Peripheral blood smear · 575×575.
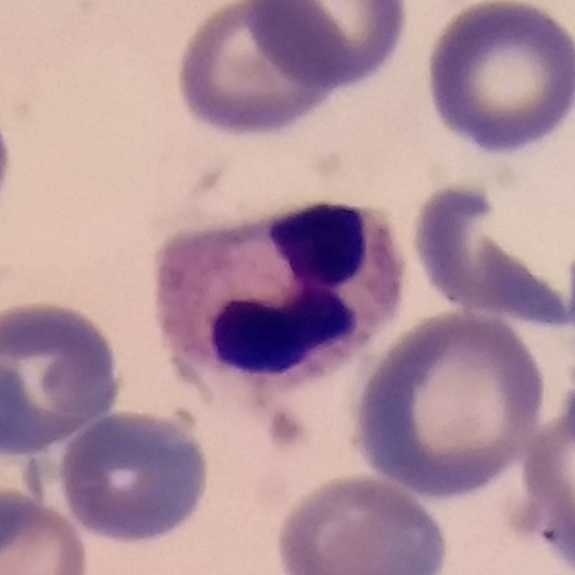

The white blood cell type is neutrophilic granulocyte.